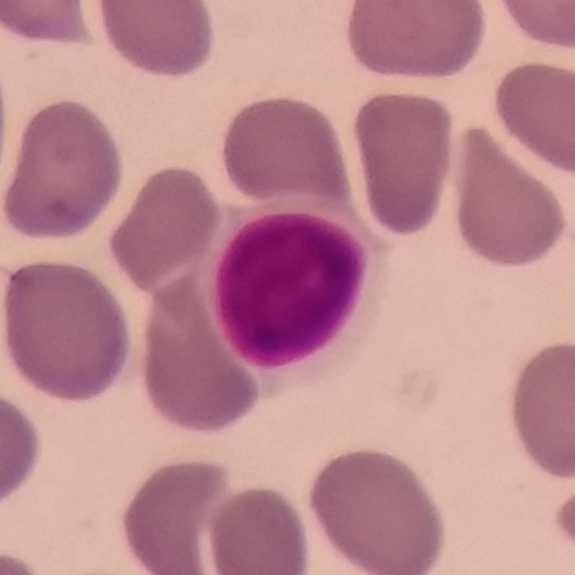
The cell type is lymphocyte.